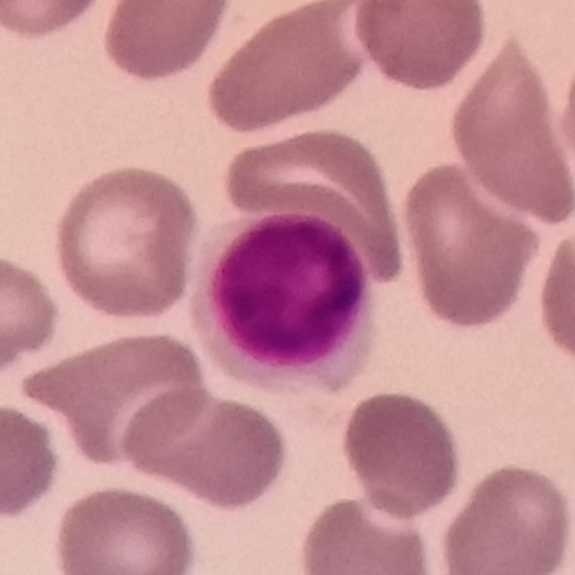Acquisition: Peripheral blood film. Stained with Giemsa.

Identified as a lymphocyte.